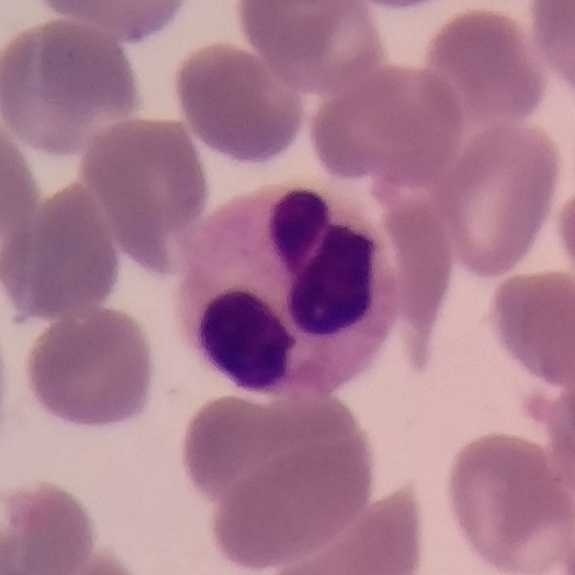This is a neutrophilic granulocyte.